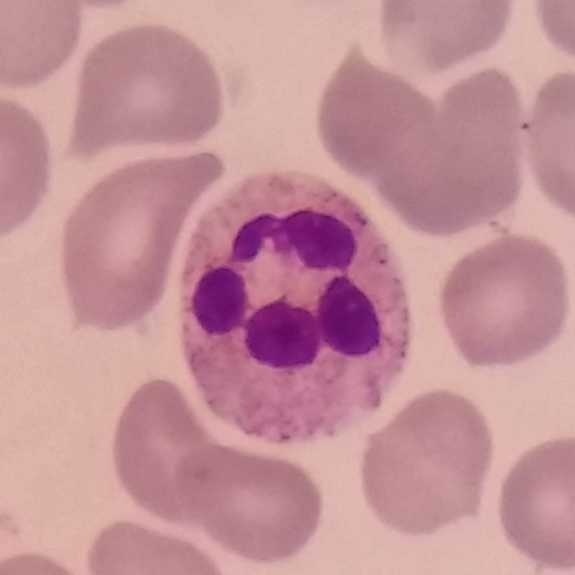

Image: Peripheral blood smear.

A neutrophil granulocyte.